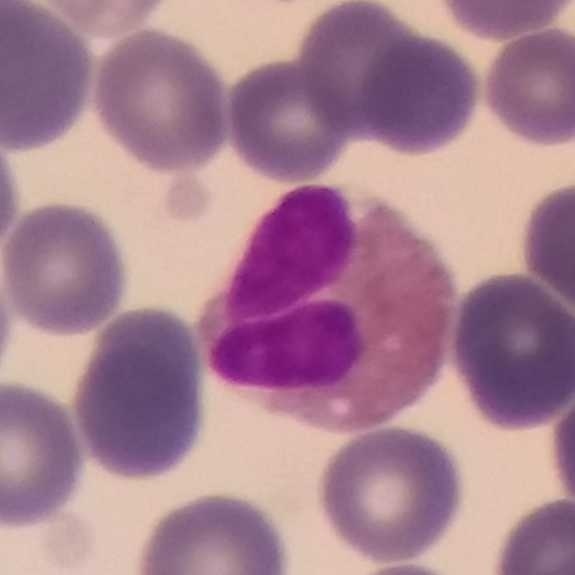 Single cell identified as an eosinophilic granulocyte.

Acquisition: Peripheral blood smear · smartphone camera mounted on the microscope eyepiece · 575 by 575 pixels.